Peripheral blood smear
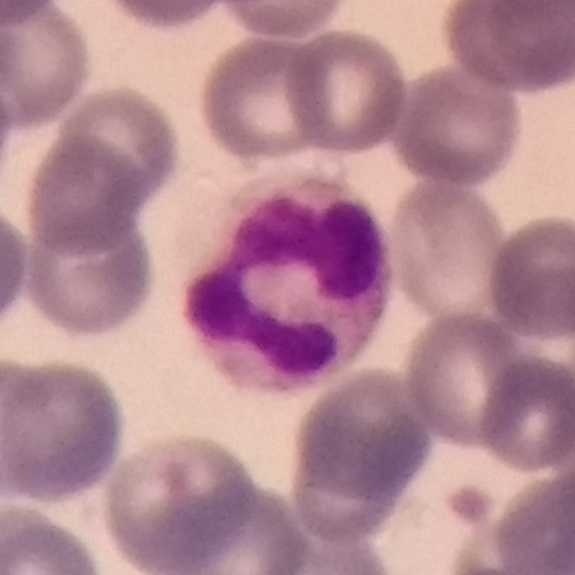 Showing a neutrophil granulocyte.